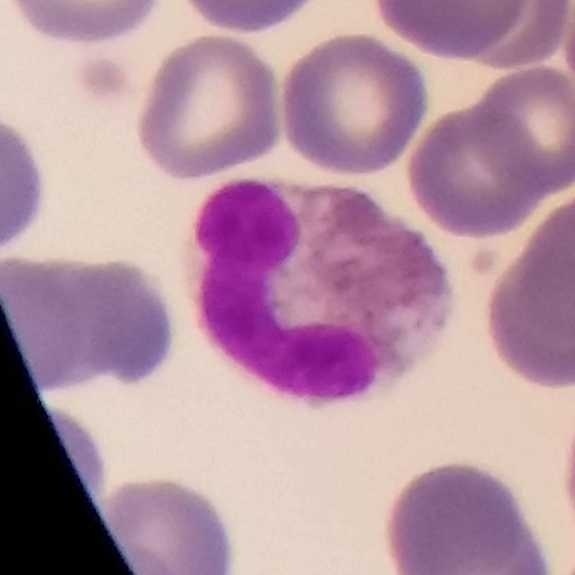

Q: Which cell type is shown here?
A: It is an eosinophilic granulocyte.

Preparation: Peripheral blood film; 575×575 px; single-cell crop.